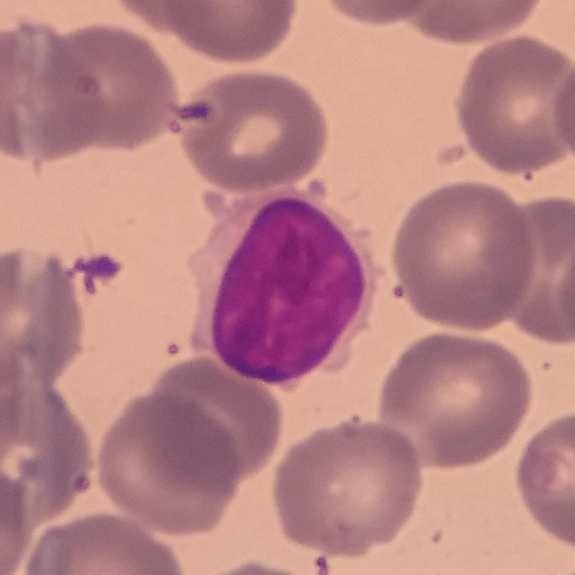
Cell = lymphocyte.